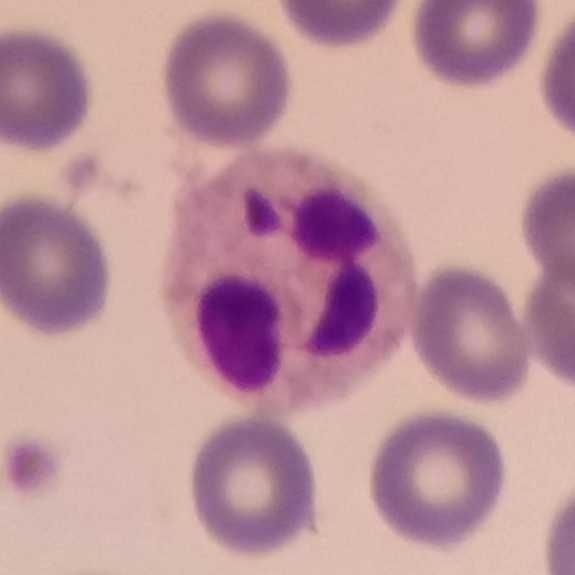
This is a neutrophilic granulocyte.

Preparation: Peripheral blood film.